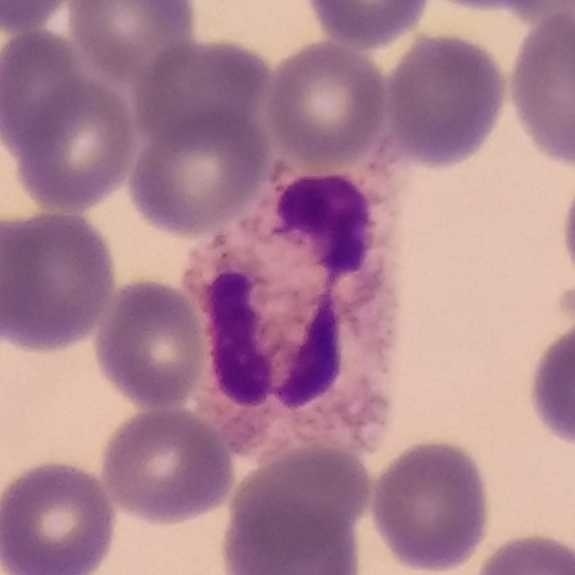
Showing a neutrophil.